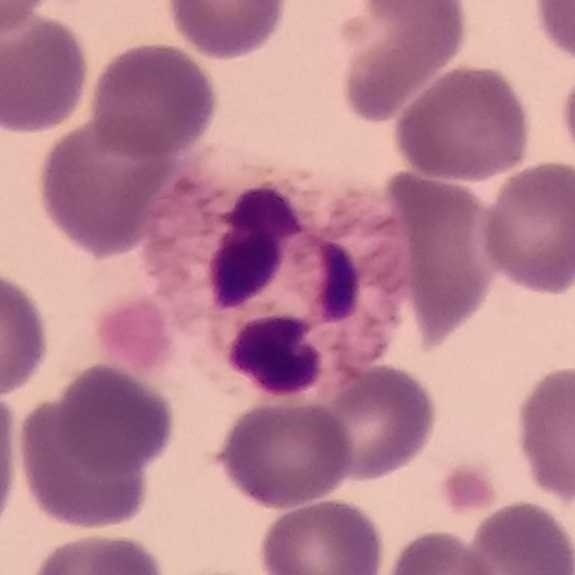Acquisition: Peripheral blood film. Cell type = neutrophilic granulocyte.